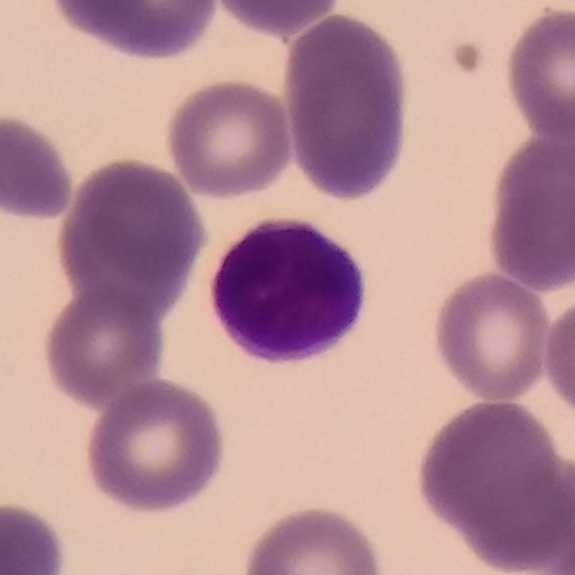 Context: Peripheral blood smear; image size 575×575; Giemsa-stained.

{"cell_type": "lymphocyte", "lineage": "lymphoid"}